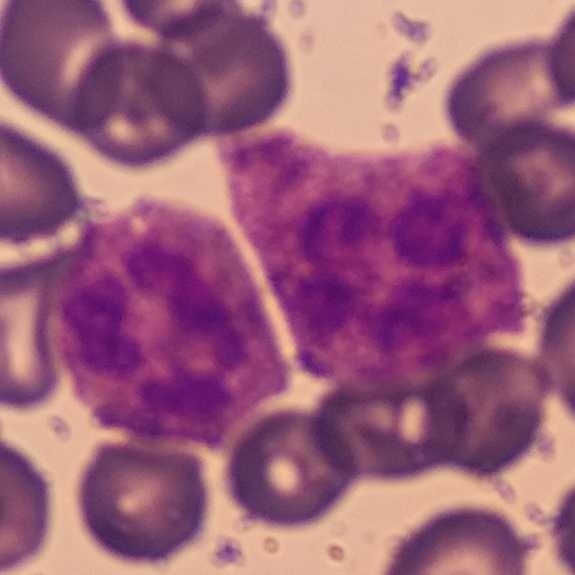
Peripheral blood film.

Q: What is this?
A: A neutrophilic granulocyte.